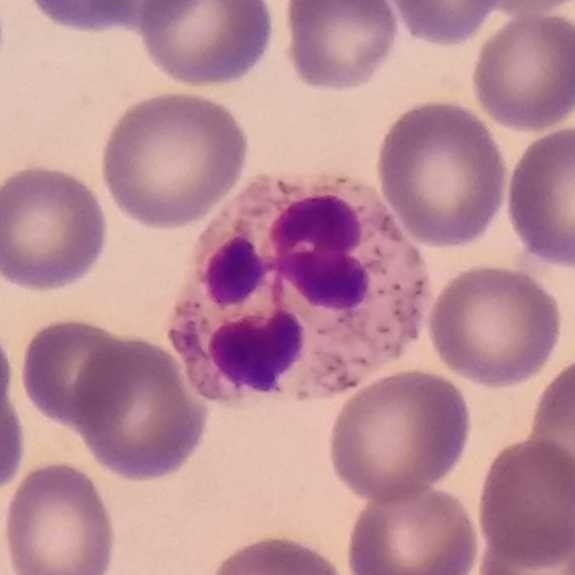Specimen: peripheral blood smear.
Classification: neutrophil granulocyte.